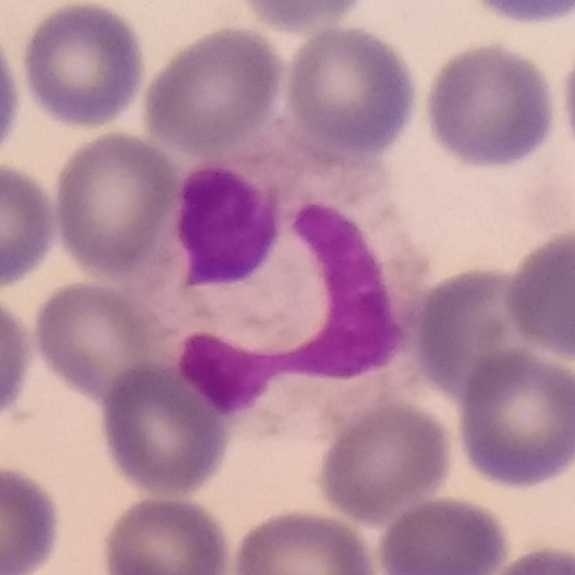 Preparation: Peripheral blood film. Showing a neutrophil.